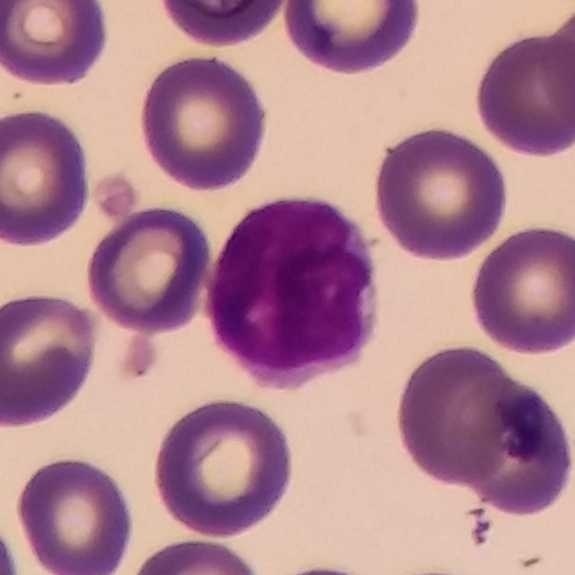
Q: What type of cell is this?
A: Lymphocyte. Preparation: Stained with Giemsa · peripheral blood film · single-cell crop.